Peripheral blood film. Single white blood cell cropped from the smear photograph: 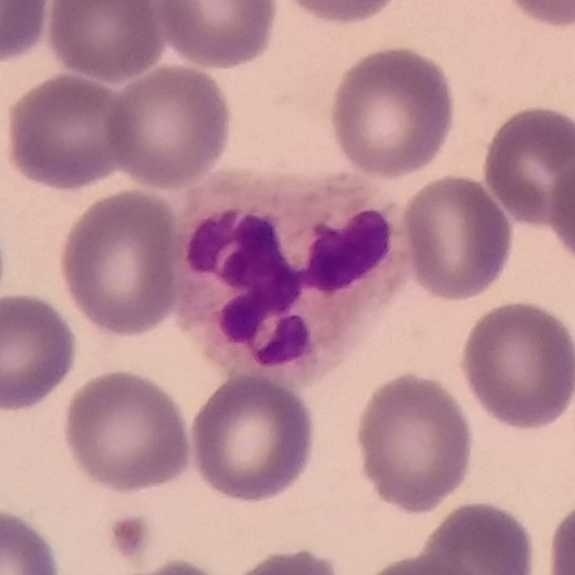A neutrophil granulocyte.